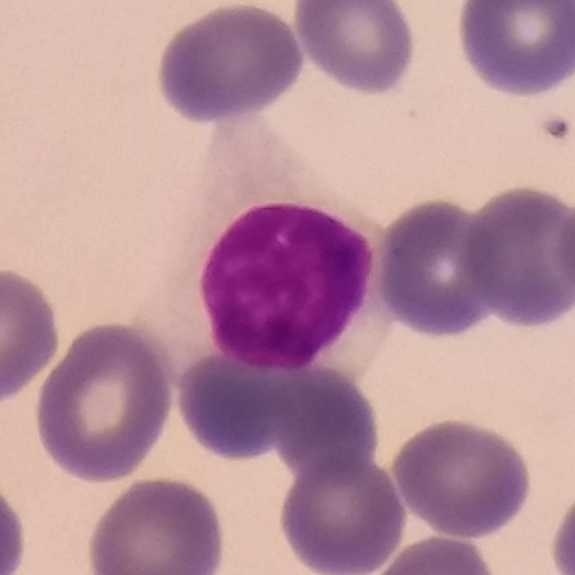 Preparation: Peripheral blood smear; Giemsa-stained. Morphology — lymphocyte.